Peripheral blood smear; single-cell field: 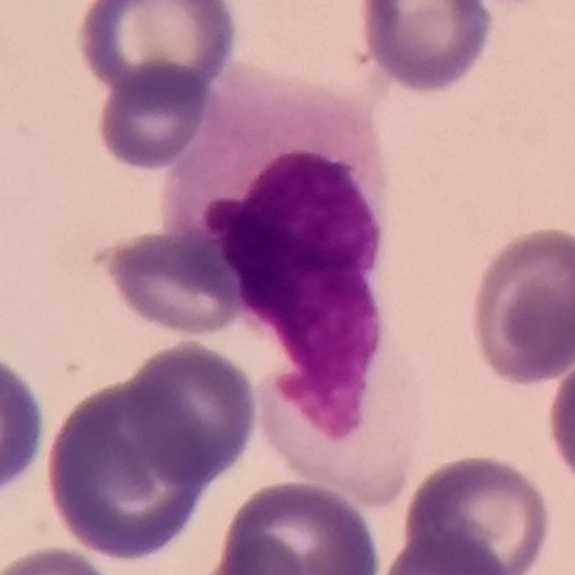

Morphology → monocyte.